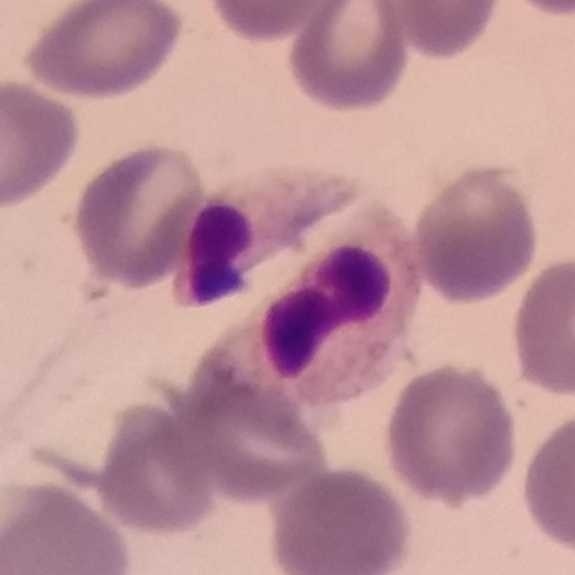

Specimen: peripheral blood smear.
Classification: neutrophil.